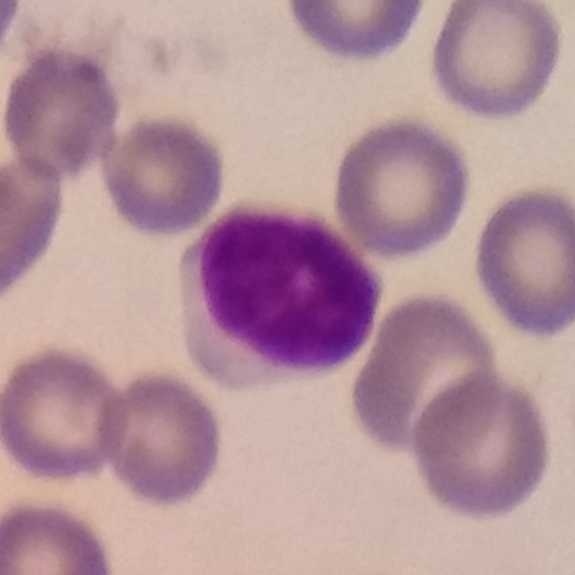 Cell: lymphocyte.